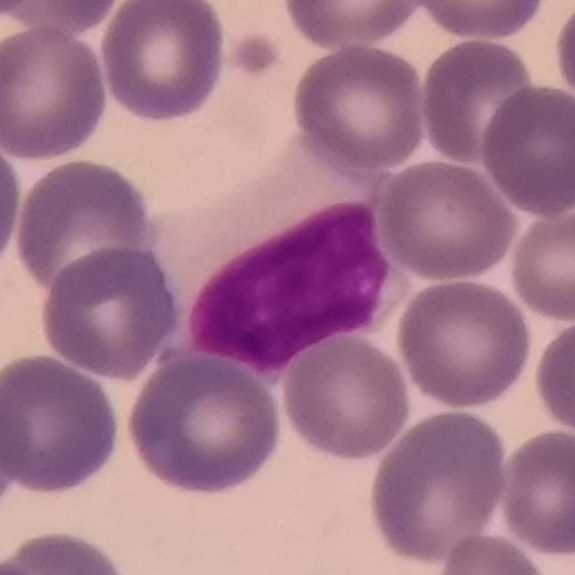 Context: Peripheral blood smear.
Showing a lymphocyte.